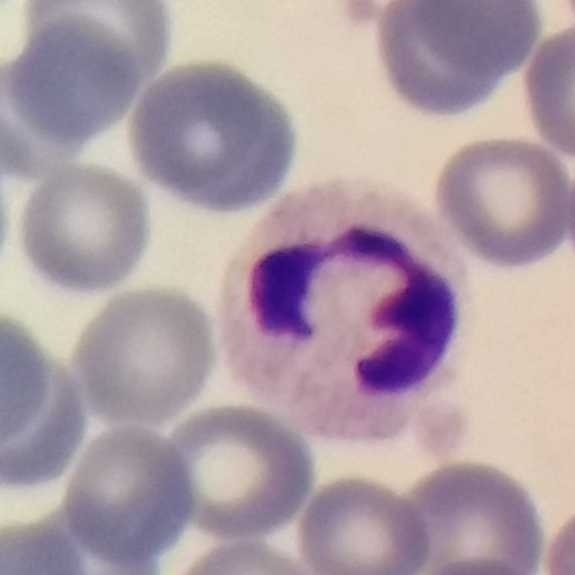White blood cell type: neutrophilic granulocyte. Preparation: Peripheral blood film.